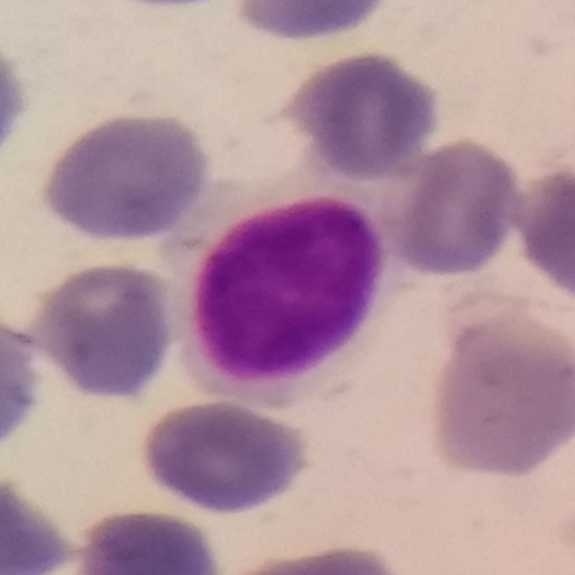Preparation: 575 by 575 pixels · peripheral blood film.
Identified as a lymphocyte.